Peripheral blood smear.
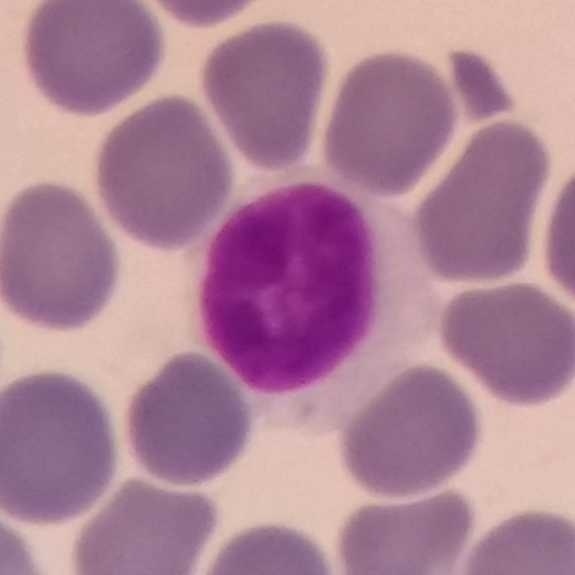Morphology — lymphocyte.